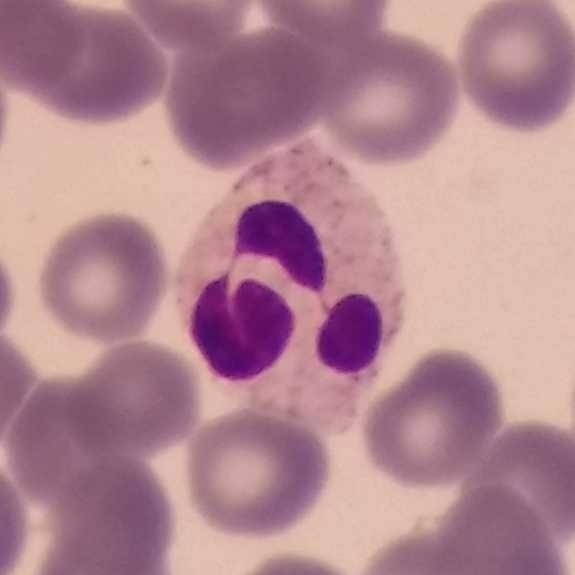
Peripheral blood film; cropped to one leukocyte; photographed through a light microscope with a smartphone camera. Showing a neutrophil granulocyte.